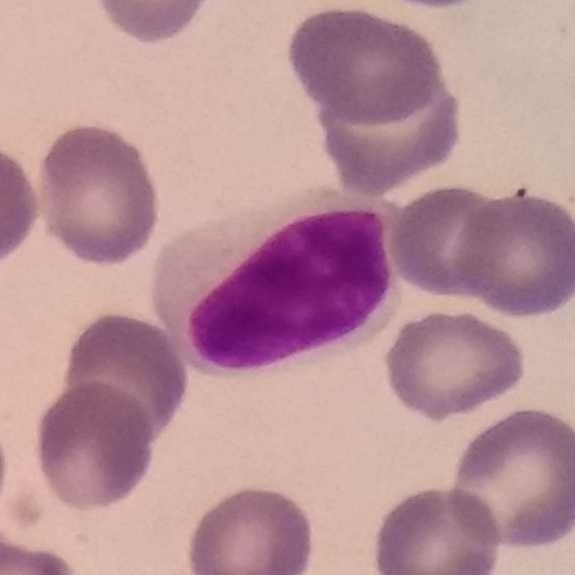Q: Which cell type is shown here?
A: A lymphocyte.
Peripheral blood smear.